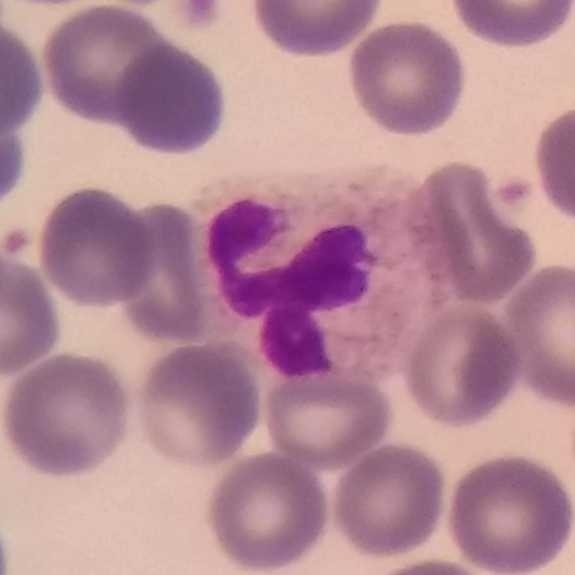
Image: Single-cell field. Stained with Giemsa. Peripheral blood smear.

A neutrophil granulocyte.